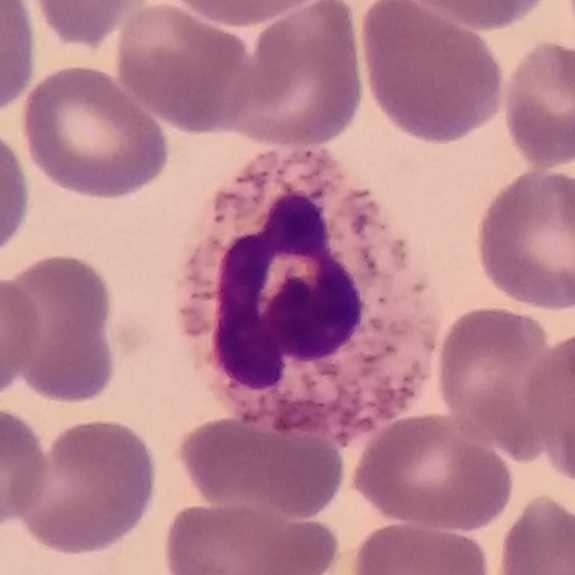

White blood cell type — neutrophil.